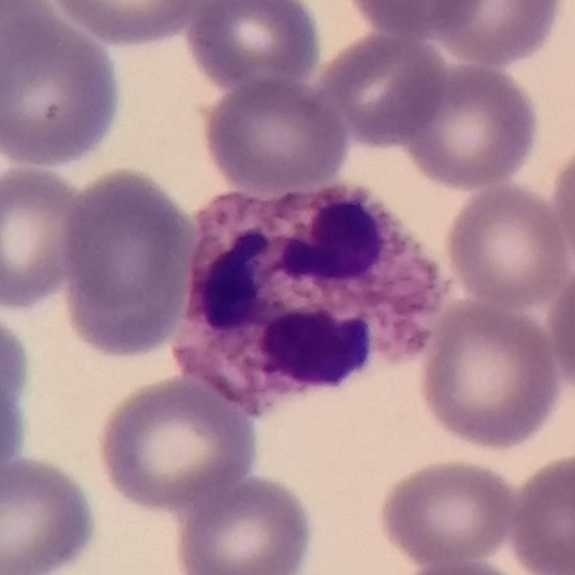 Morphology — neutrophil granulocyte.